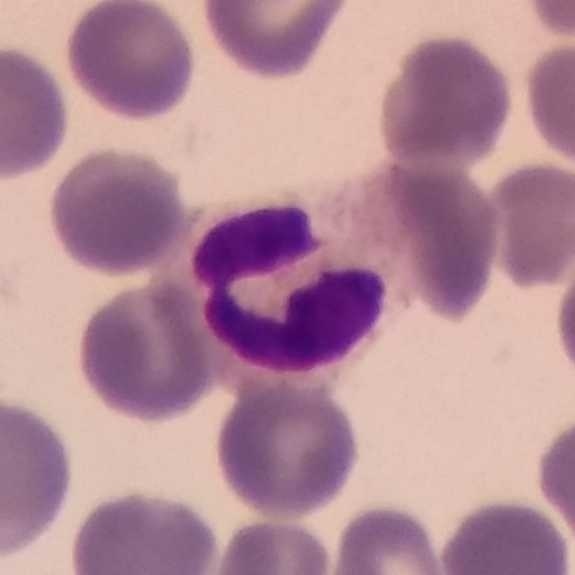White blood cell type: neutrophilic granulocyte.
Acquisition: Peripheral blood smear; single-cell field.